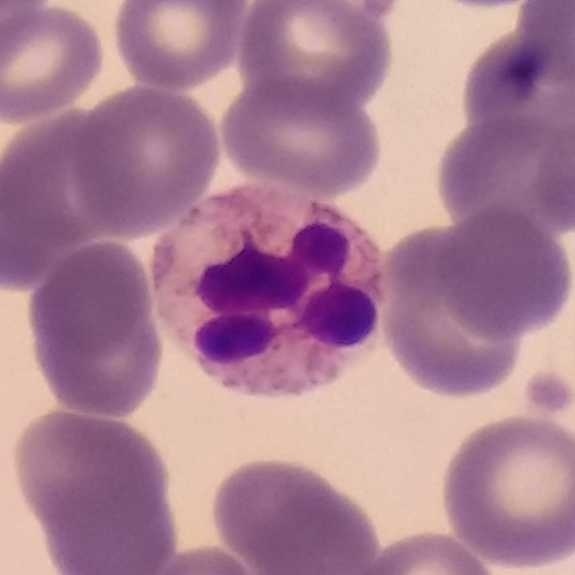

The cell is neutrophilic granulocyte.